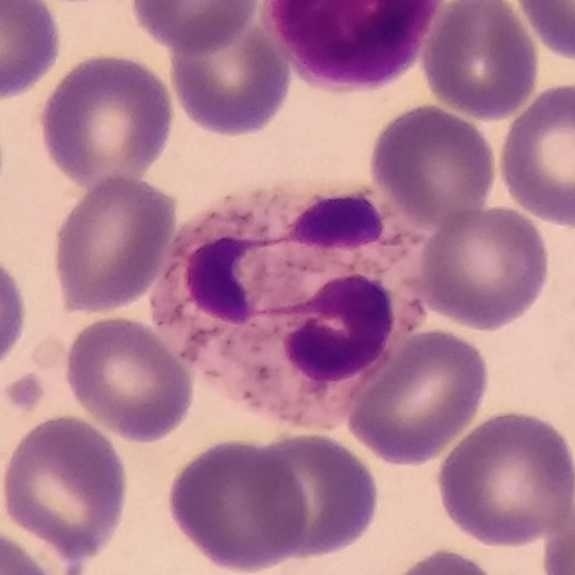Specimen: peripheral blood smear.
White blood cell type: neutrophil granulocyte.
Lineage: myeloid.